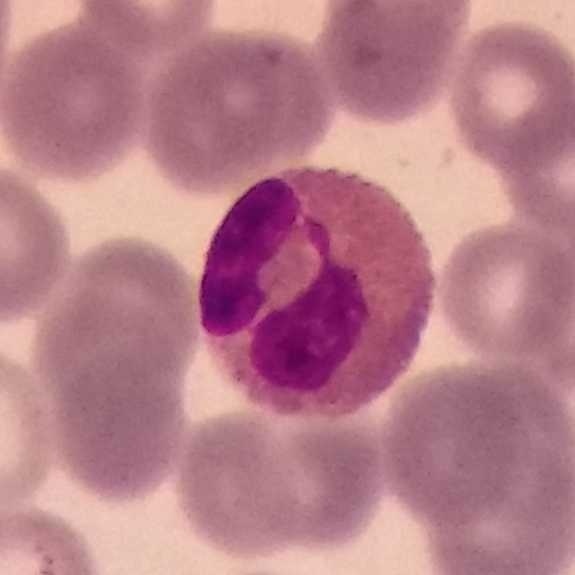
Q: Identify the cell.
A: An eosinophil.